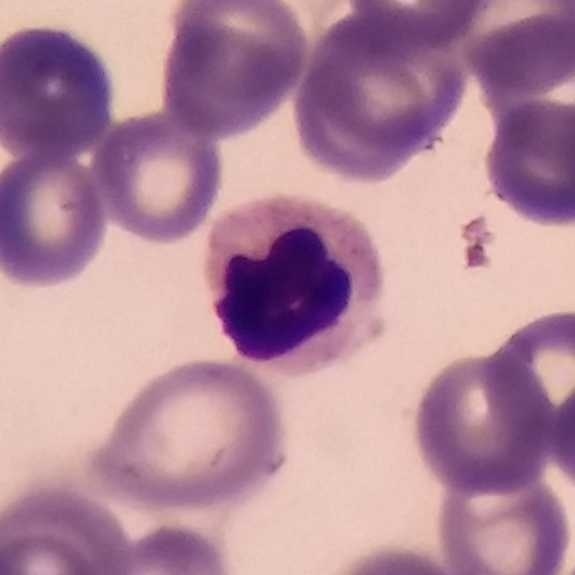
Preparation: Peripheral blood film · image size 575×575. Q: What is shown here?
A: This is a neutrophilic granulocyte.